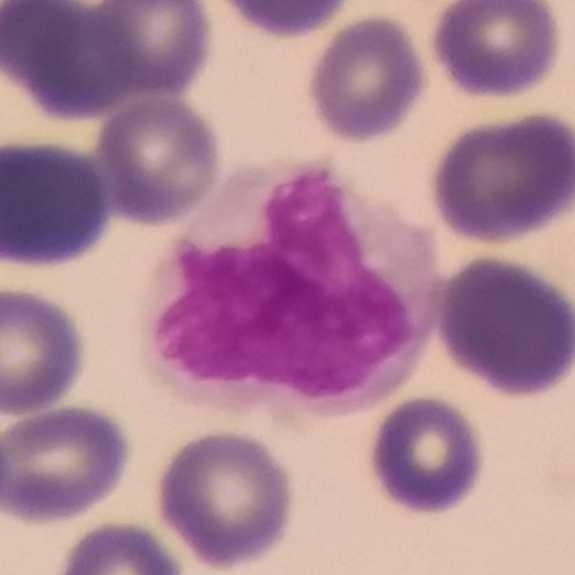
Specimen: peripheral blood smear.
Morphological class: monocyte.